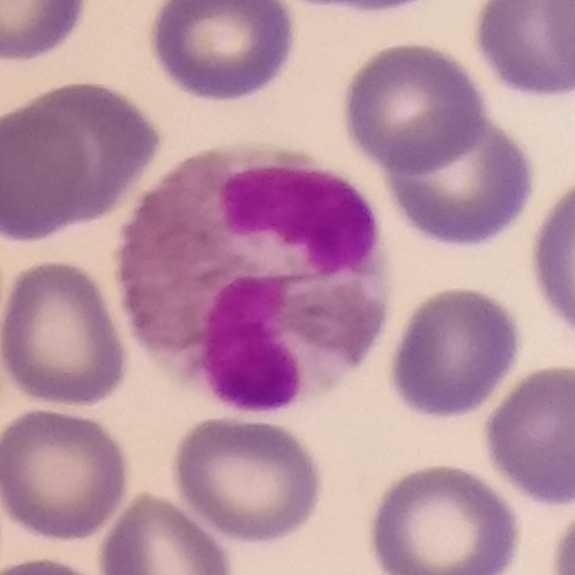

An eosinophilic granulocyte. Image: Peripheral blood smear.